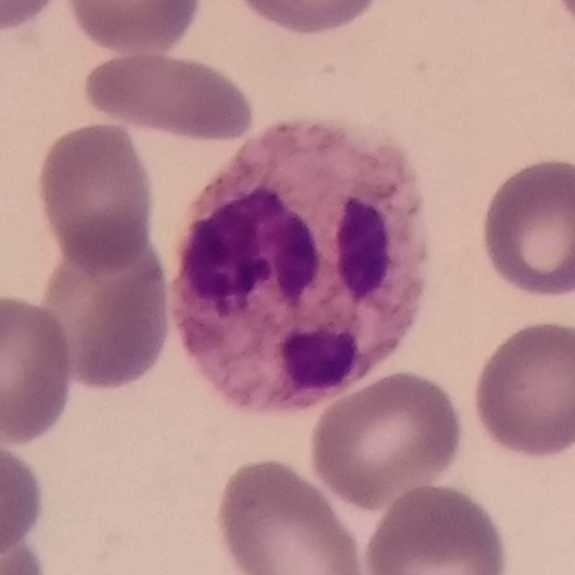
Cropped to one leukocyte; 100× magnification; peripheral blood film.

Identified as a neutrophil.